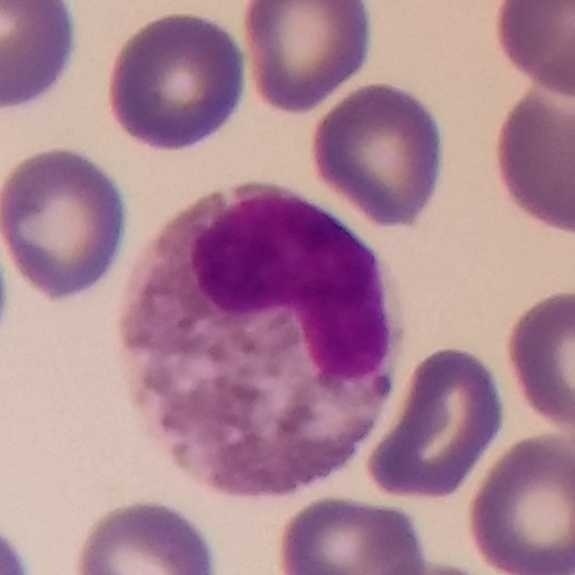
This is an eosinophilic granulocyte. Peripheral blood film.